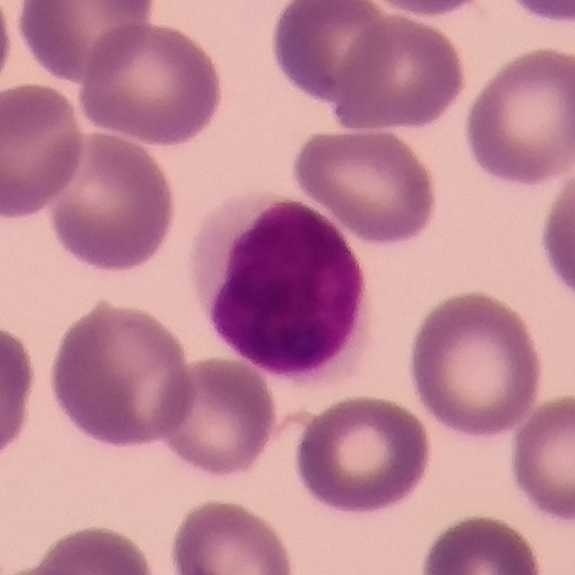 Single cell identified as a lymphocyte.

Image: Peripheral blood film. Magnification 100×. Giemsa stain.